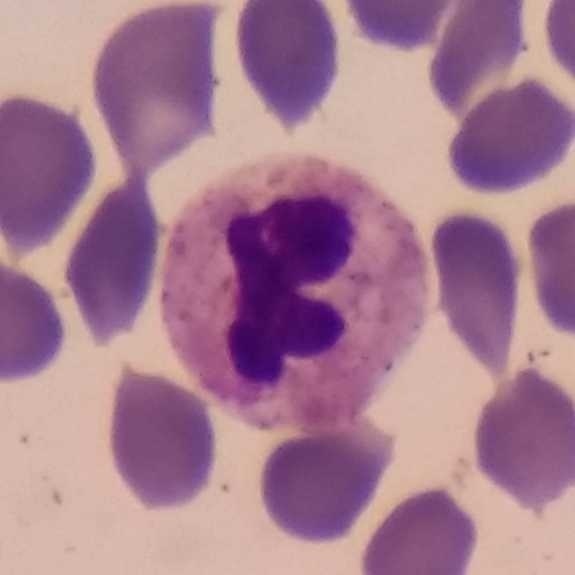 Specimen: peripheral blood film.
Cell: neutrophil granulocyte.